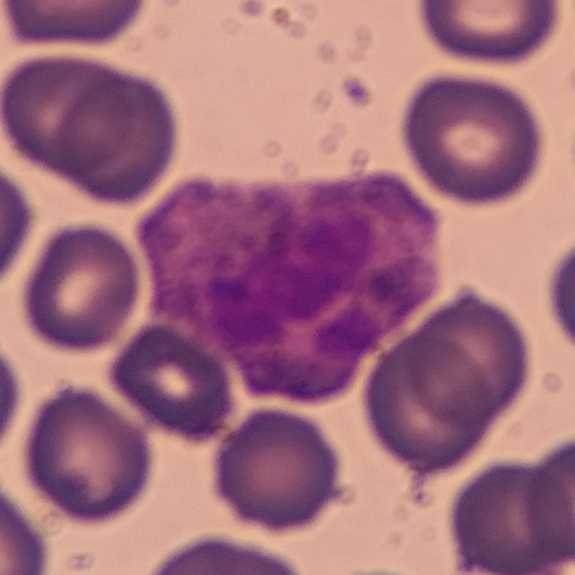 Morphology — neutrophil.
Acquisition: Peripheral blood smear.